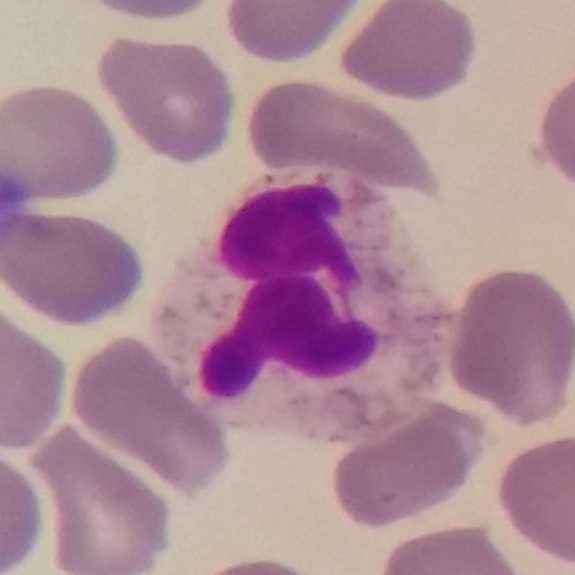

Identified as a neutrophil.